Peripheral blood smear. Stained with Giemsa:
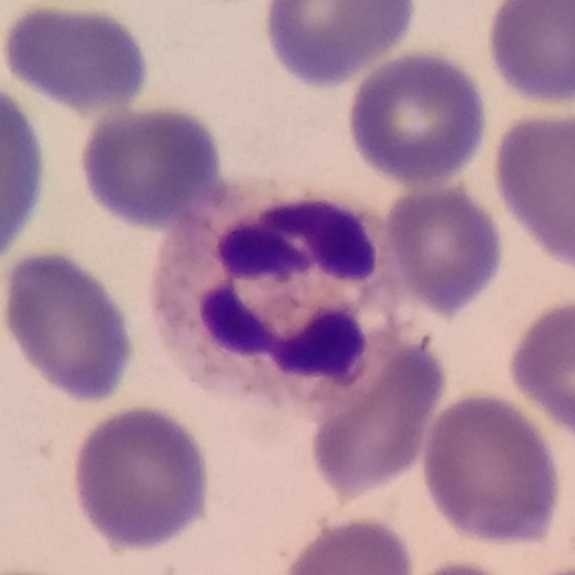
Identified as a neutrophilic granulocyte.